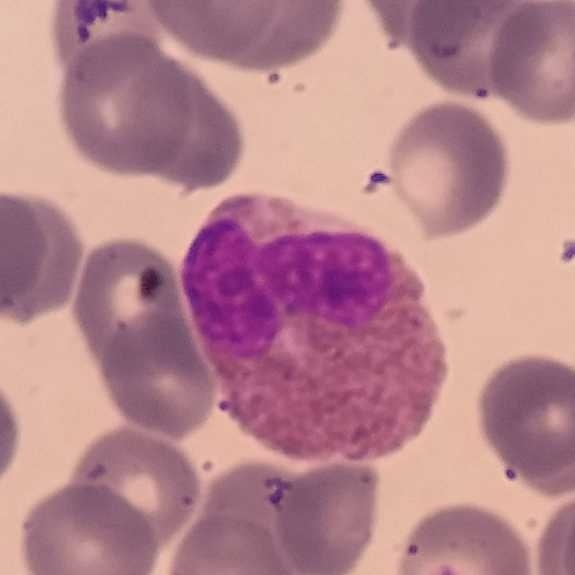
Peripheral blood smear showing an eosinophil.